Imaged at 100×. Peripheral blood smear. 575×575.
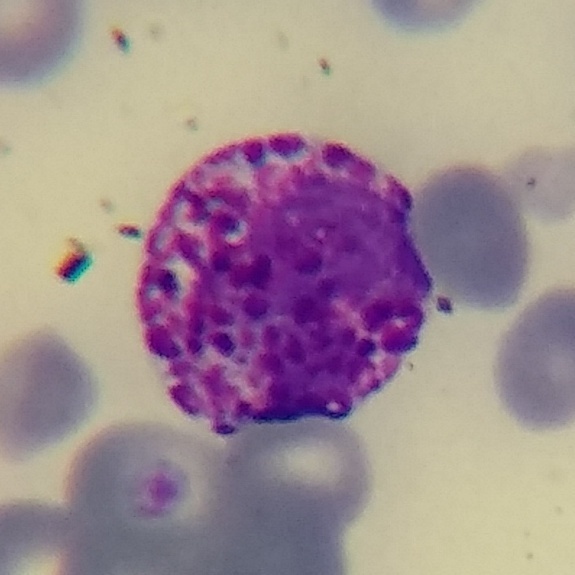

Single cell identified as a basophilic granulocyte.